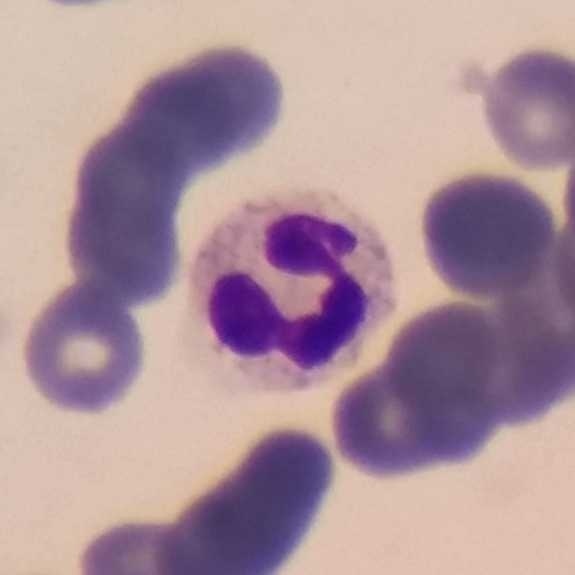Impression → neutrophilic granulocyte.